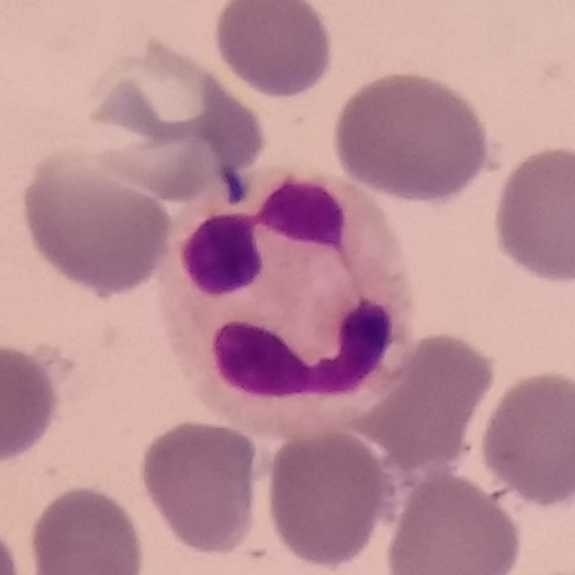

Identified as a neutrophil granulocyte.
Peripheral blood film.